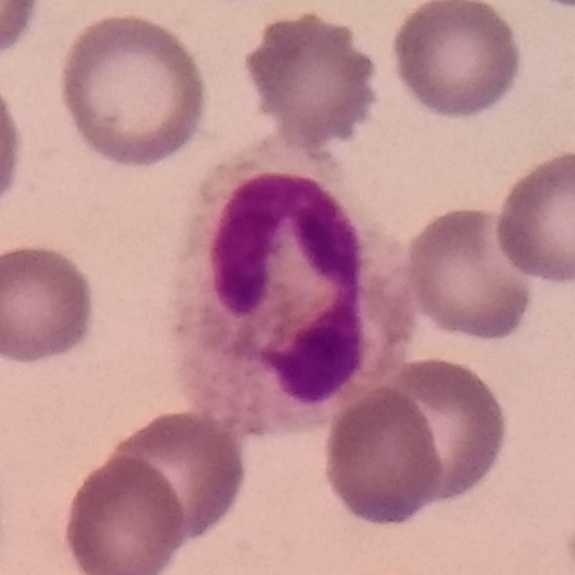
The white blood cell in this image is a neutrophil.

Peripheral blood smear. Phone-camera image taken through the microscope ocular. 575×575.